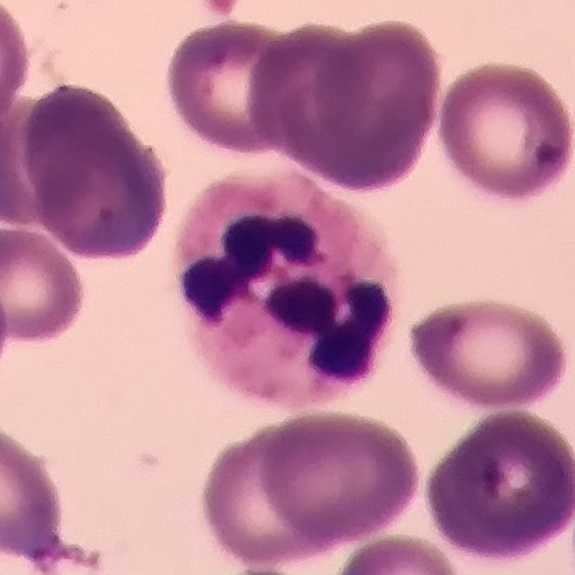 Q: Classify this leukocyte.
A: A neutrophilic granulocyte.